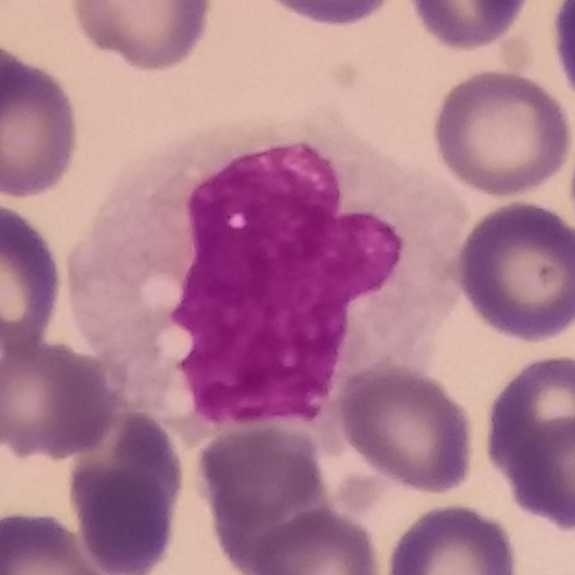
Cell = monocyte.
Acquisition: Peripheral blood smear.